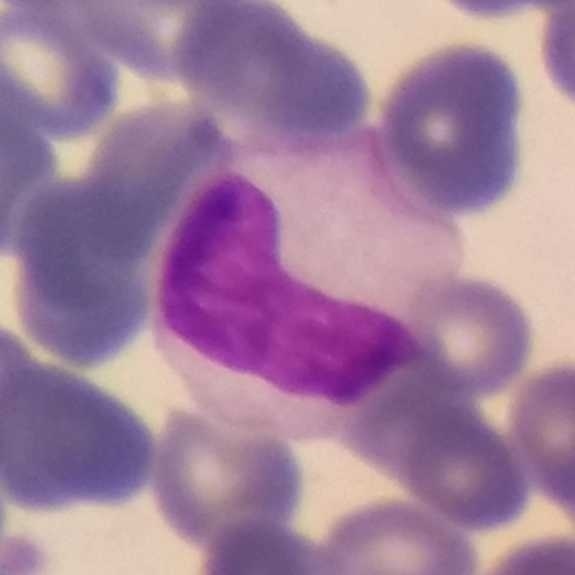{"cell_type": "monocyte", "lineage": "myeloid"}